Peripheral blood film. Giemsa stain — 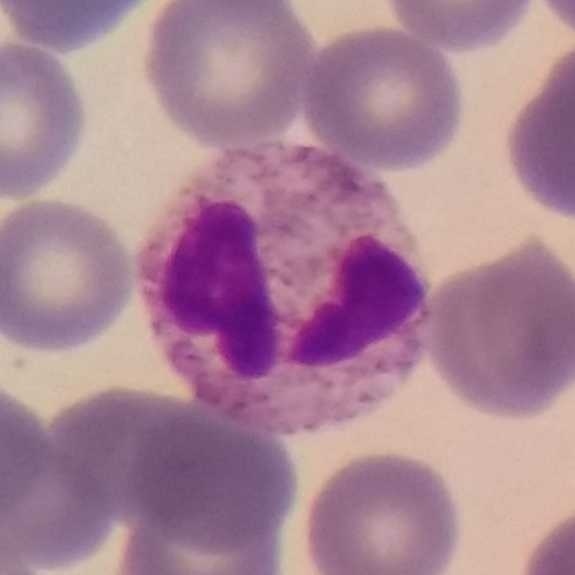Specimen: peripheral blood smear.
Cell type: neutrophil granulocyte.
Lineage: myeloid.